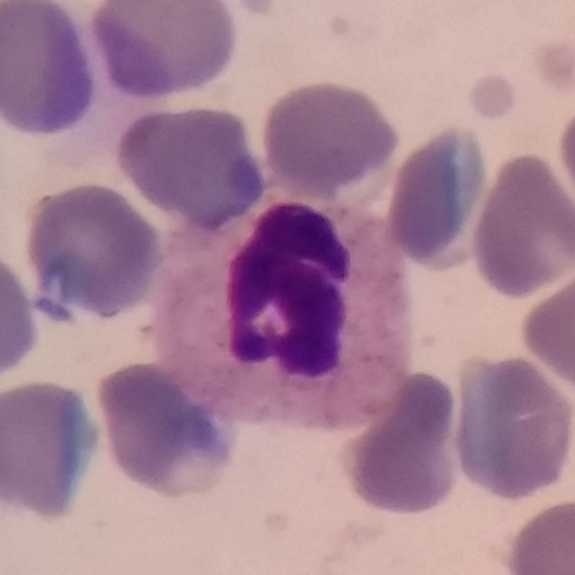

Morphology consistent with a neutrophilic granulocyte.
Image: Giemsa-stained. Peripheral blood smear.